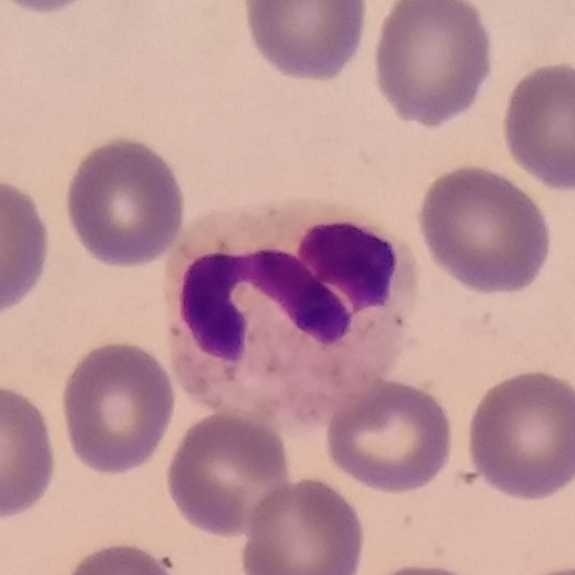 Peripheral blood film · 575×575.
Q: Which type of white blood cell is this?
A: Neutrophil.